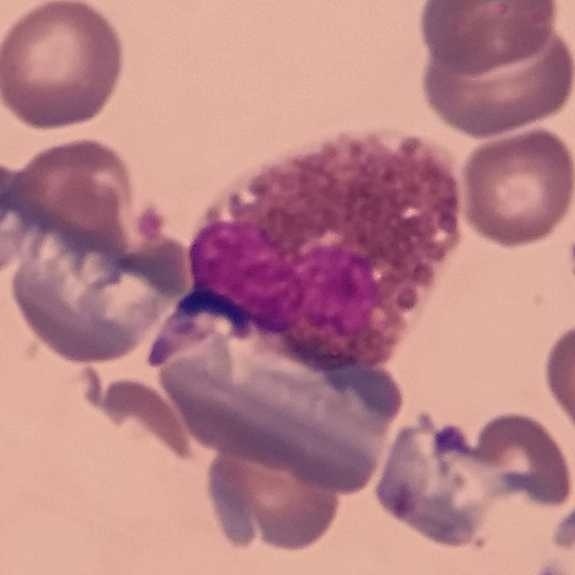Specimen: peripheral blood smear.
Morphological class: eosinophil.
Lineage: myeloid.